Peripheral blood film — 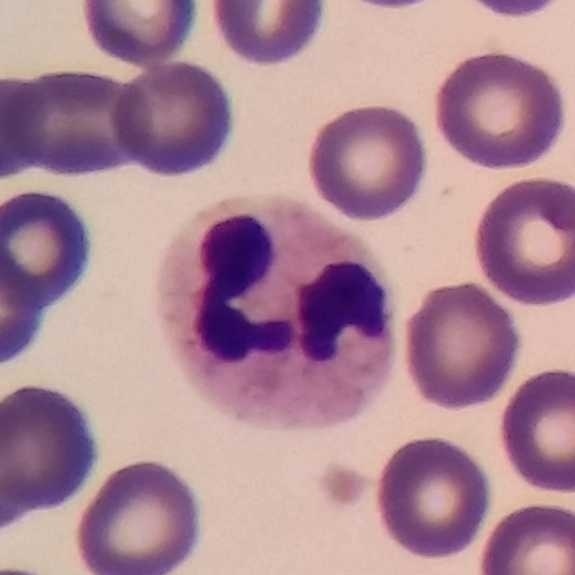 Cell: neutrophilic granulocyte.